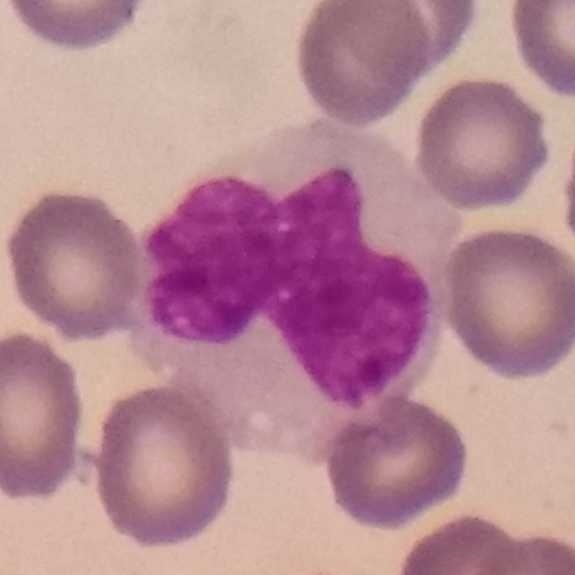
Cell: monocyte.